Single white blood cell cropped from the smear photograph · peripheral blood smear
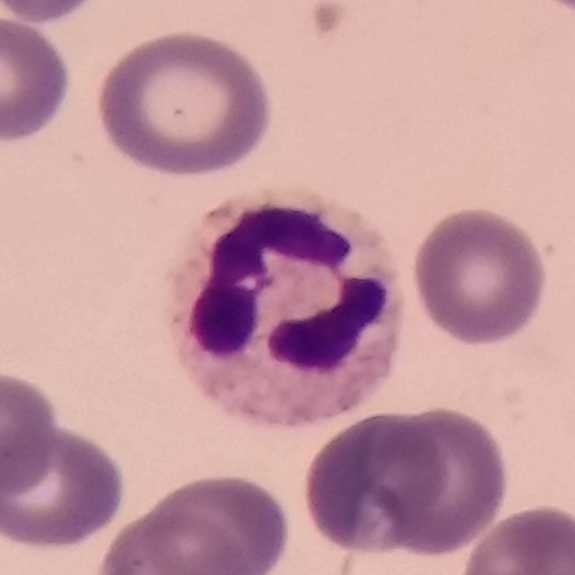
Showing a neutrophil granulocyte.